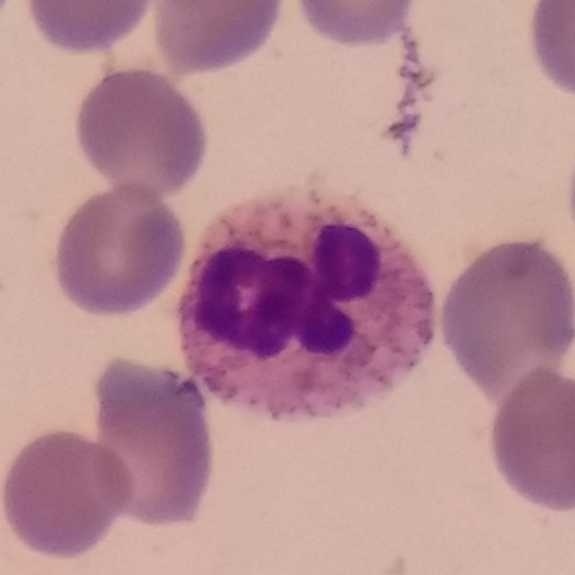
Specimen: peripheral blood smear.
Morphological class: neutrophil.